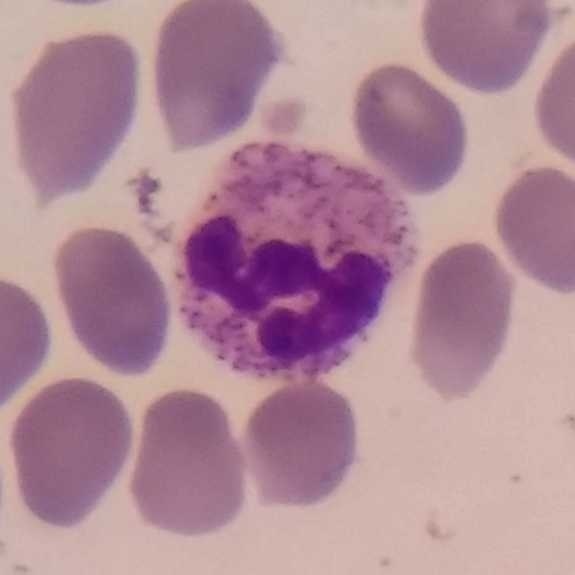

Preparation: Peripheral blood film.
Q: Identify the cell.
A: Neutrophilic granulocyte.